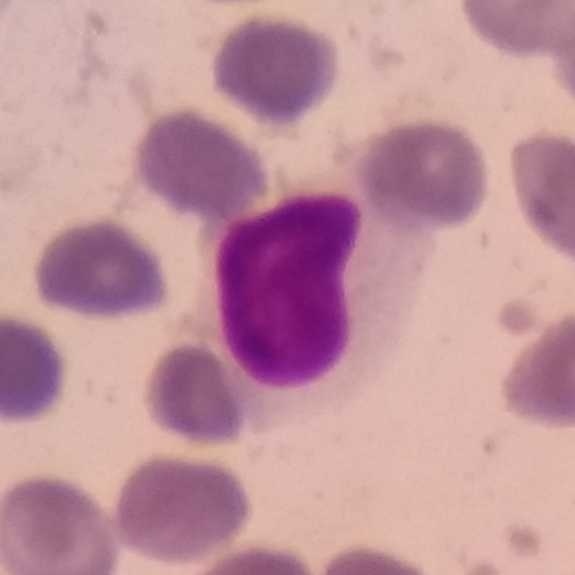Single cell identified as a lymphocyte. Preparation: Peripheral blood smear.